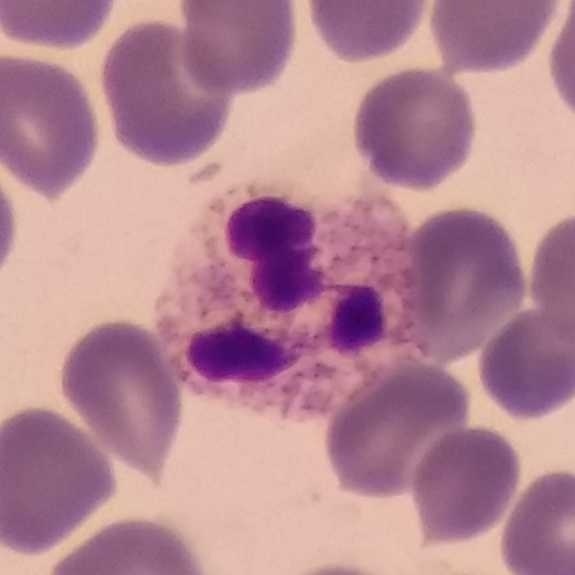
The white blood cell type is neutrophil granulocyte. Preparation: Peripheral blood film · photographed through a light microscope with a smartphone camera · stained with Giemsa.